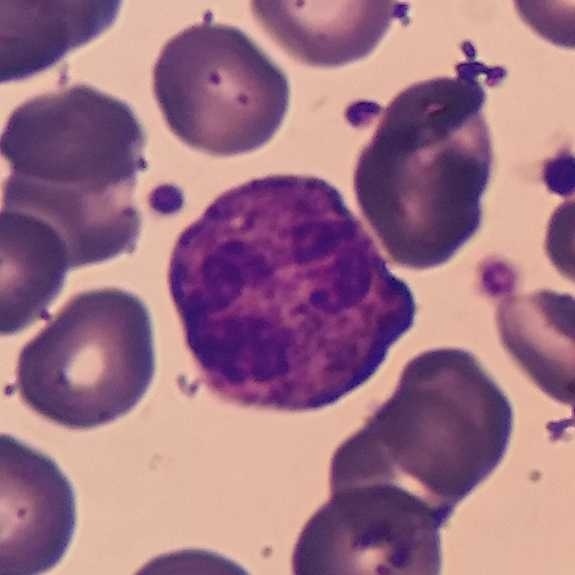
Morphology → neutrophilic granulocyte.

Peripheral blood smear · phone-camera image taken through the microscope ocular.